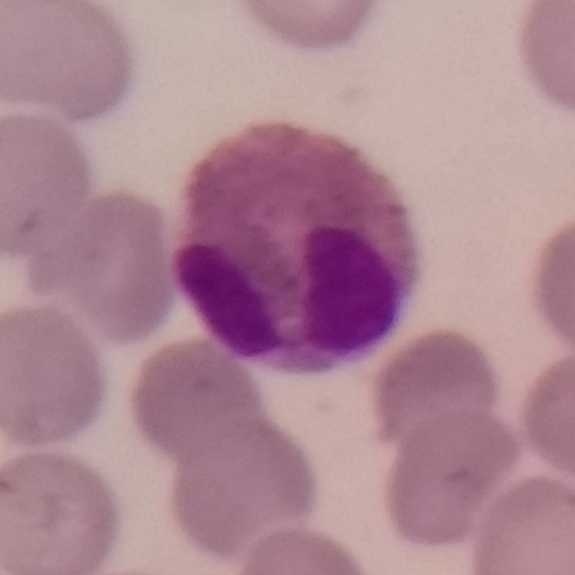The cell type is eosinophilic granulocyte.